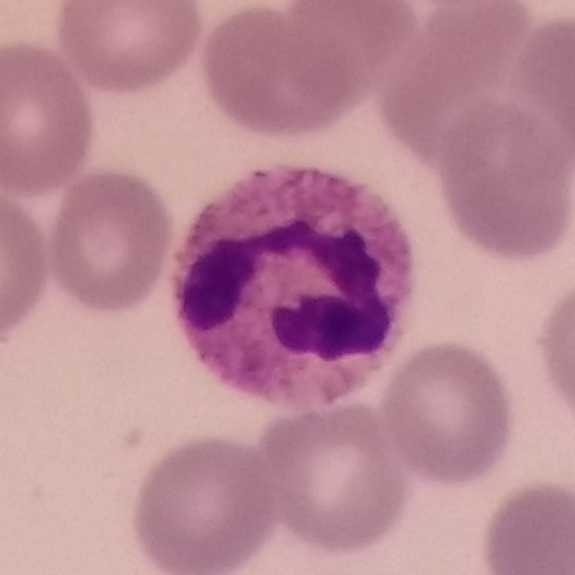 The white blood cell in this image is a neutrophilic granulocyte.

Image: Peripheral blood film · smartphone camera mounted on the microscope eyepiece · single white blood cell cropped from the smear photograph.